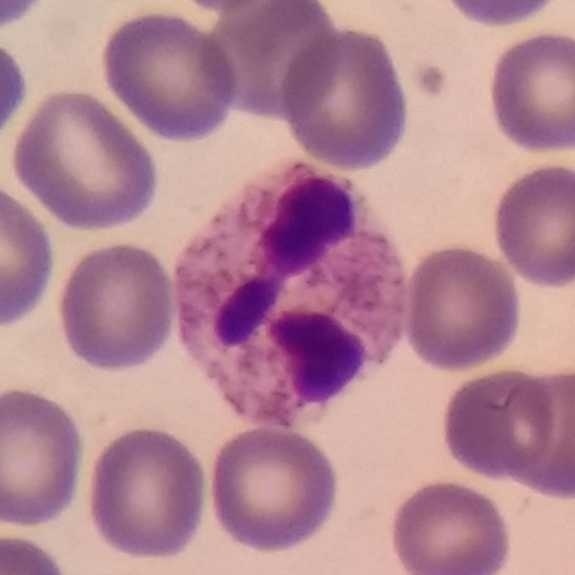
Acquisition: Peripheral blood film. Q: What cell is this?
A: This is a neutrophil.